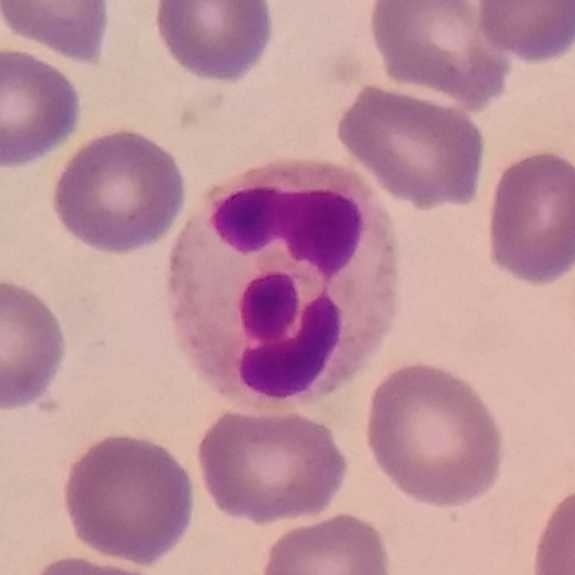 Showing a neutrophil.